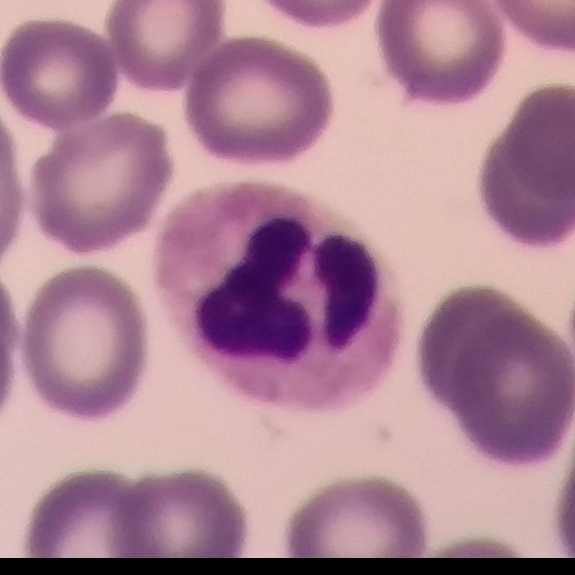
The white blood cell type is neutrophil. Acquisition: Smartphone camera mounted on the microscope eyepiece. Peripheral blood smear.